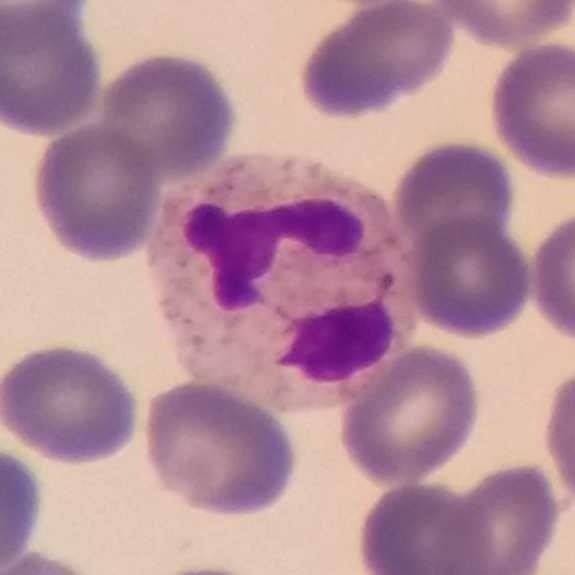 White blood cell type = neutrophilic granulocyte.
Context: Peripheral blood film.